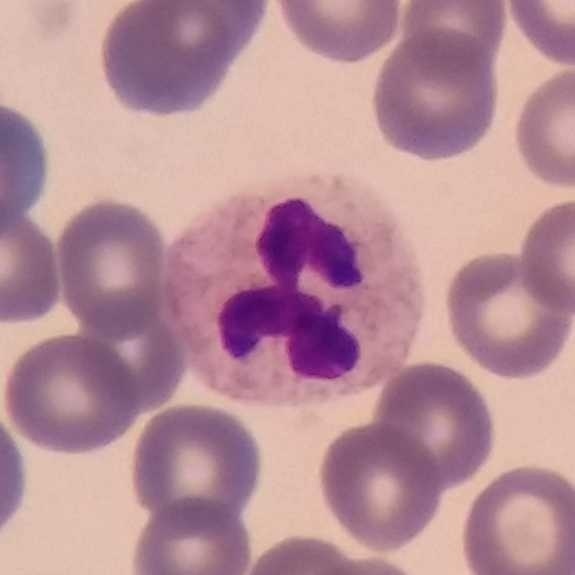Context: Peripheral blood smear.

Q: Identify the cell.
A: It is a neutrophil.